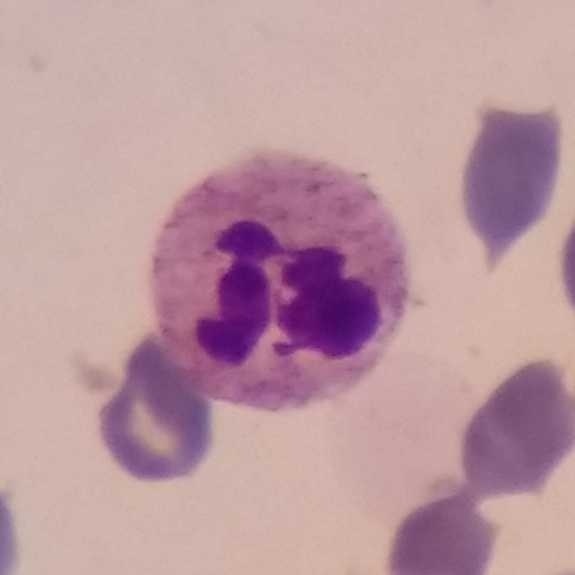

Preparation: Peripheral blood film.

Morphology — neutrophilic granulocyte.